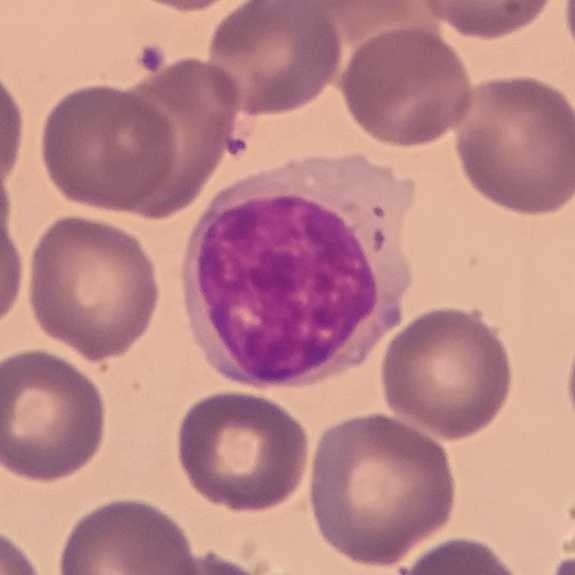

Cell = lymphocyte.
Giemsa stain; image size 575×575; peripheral blood smear.